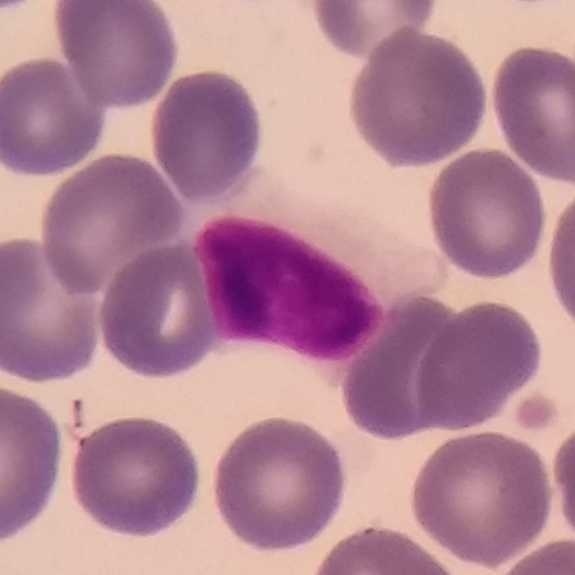

The morphological class is lymphocyte. Peripheral blood film.